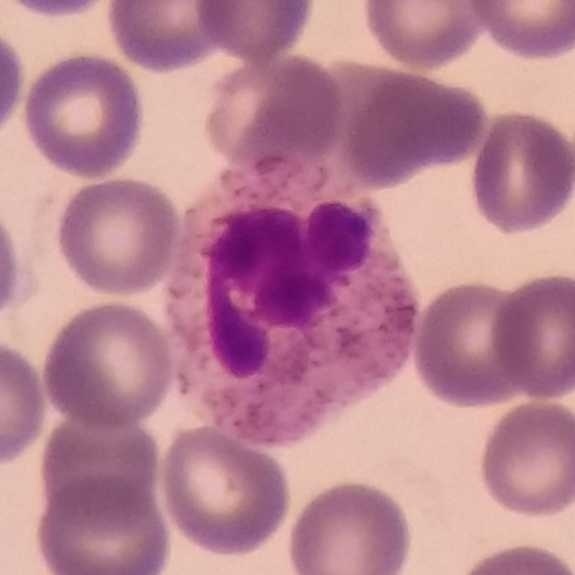
Identified as a neutrophil granulocyte. Context: Peripheral blood film · single-cell crop.